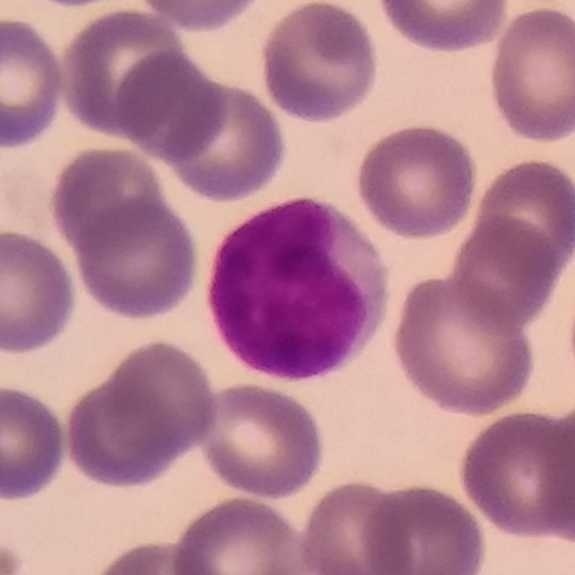
The white blood cell in this image is a lymphocyte.